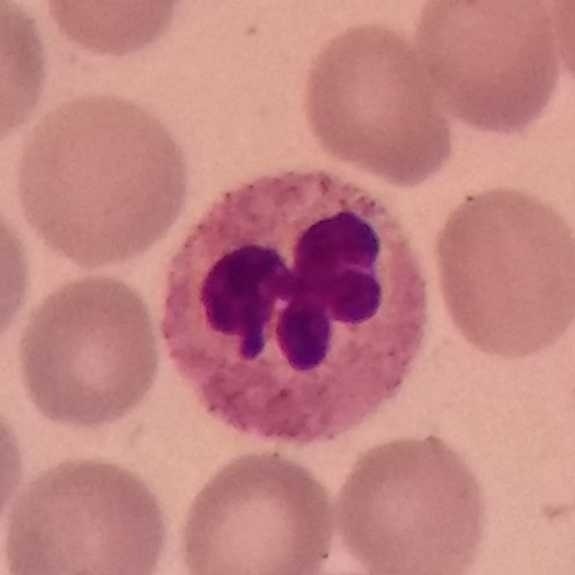
Peripheral blood film, single cell — neutrophil.